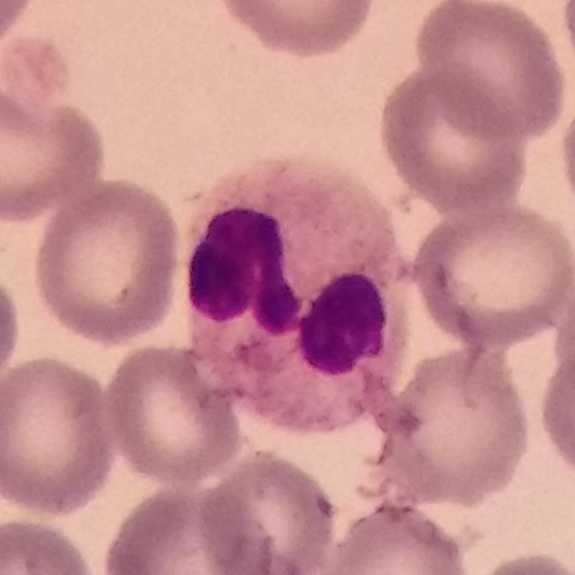Morphological class = neutrophil granulocyte.

Image: Peripheral blood smear.